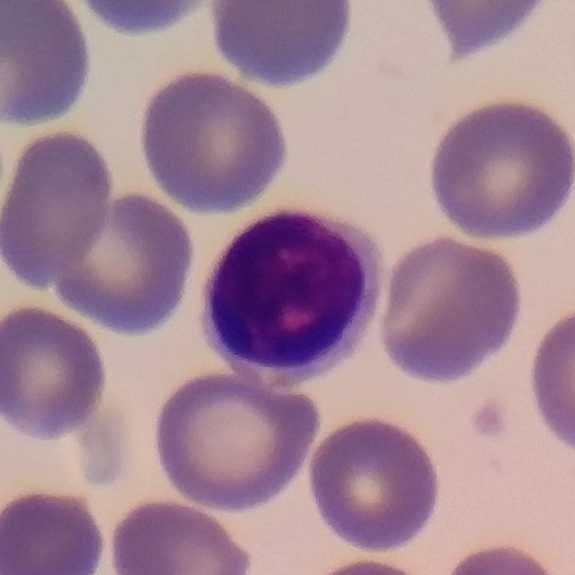This is a lymphocyte.

Acquisition: Peripheral blood smear.